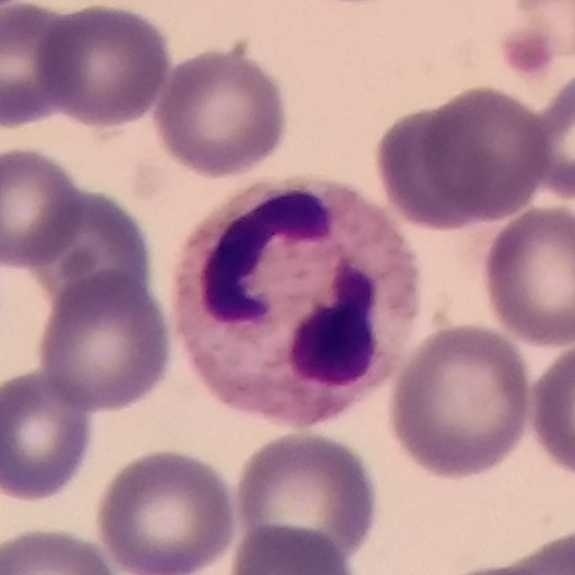
This is a neutrophil granulocyte.
Context: Peripheral blood smear.